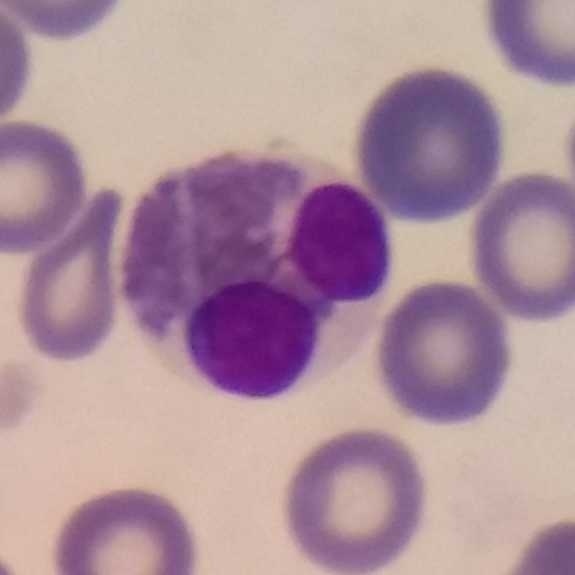
Context: Peripheral blood film. Q: Which type of white blood cell is this?
A: It is an eosinophil.